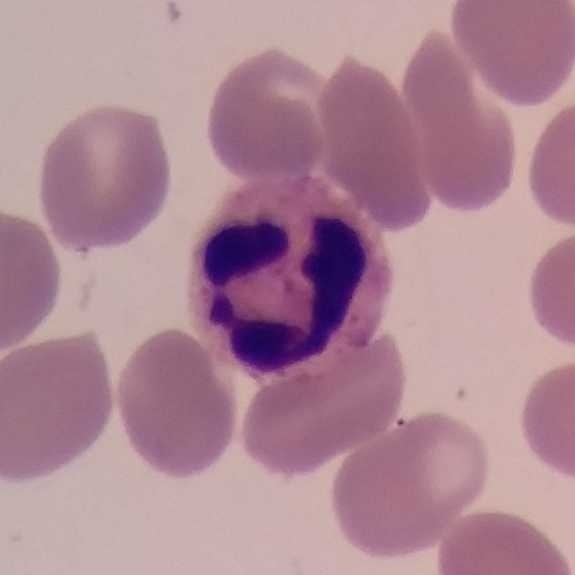 Peripheral blood smear · stained with Giemsa. This is a neutrophil.